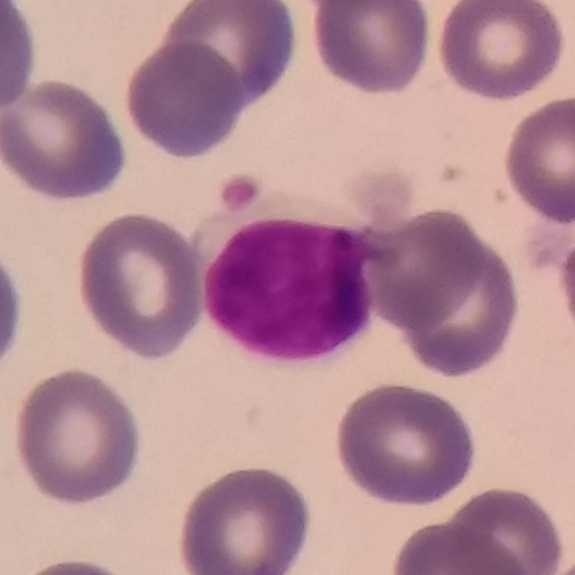 {"cell_type": "lymphocyte", "lineage": "lymphoid"} Context: Cropped to one leukocyte · peripheral blood smear · photographed through a light microscope with a smartphone camera.